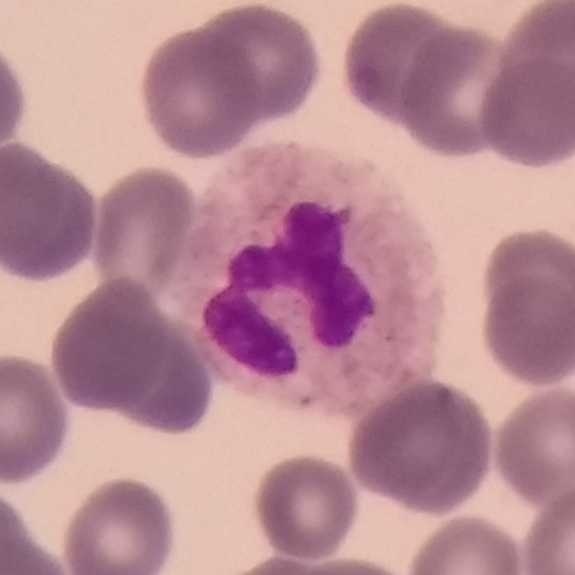Q: What is shown here?
A: A neutrophil.
Acquisition: Peripheral blood smear.